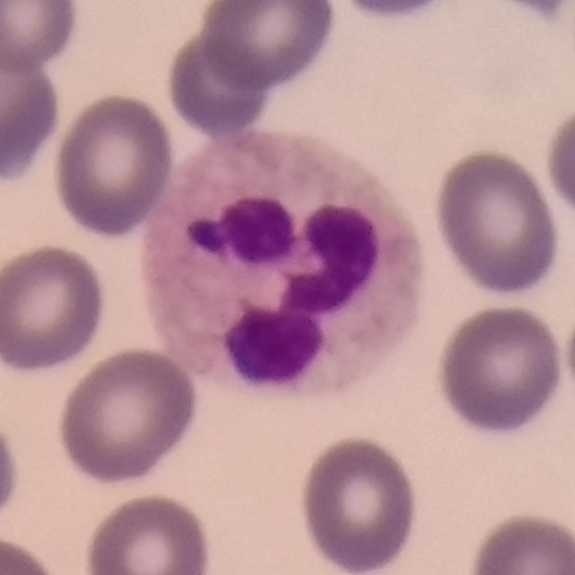Acquisition: Peripheral blood film. Phone-camera image taken through the microscope ocular.

Classification — neutrophil.